Peripheral blood smear: 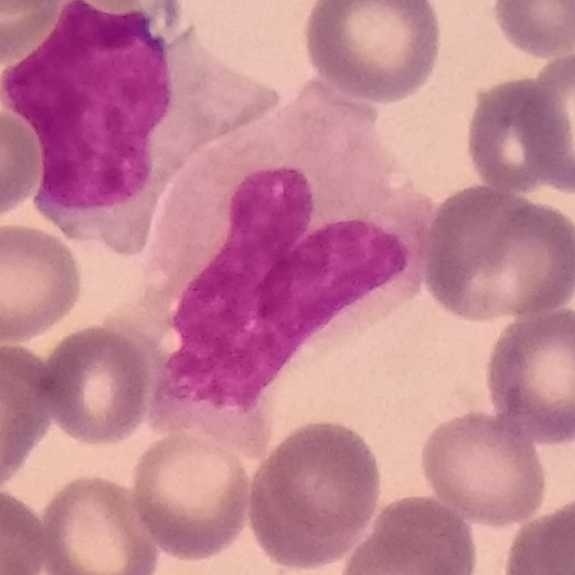
Monocyte.